Image size 575×575; peripheral blood film.
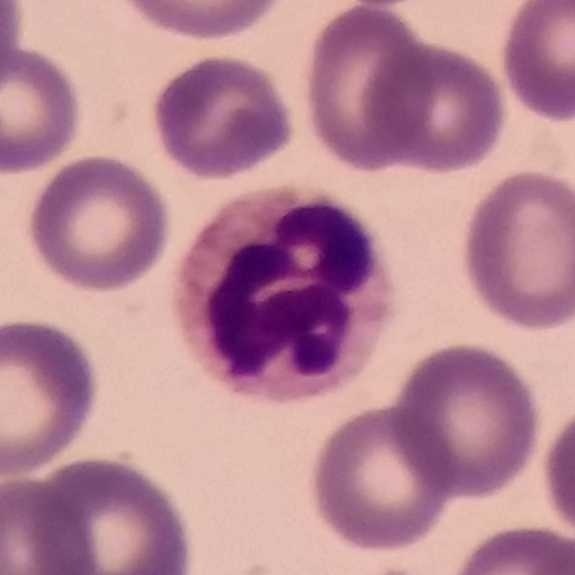
Neutrophilic granulocyte.